Peripheral blood film.
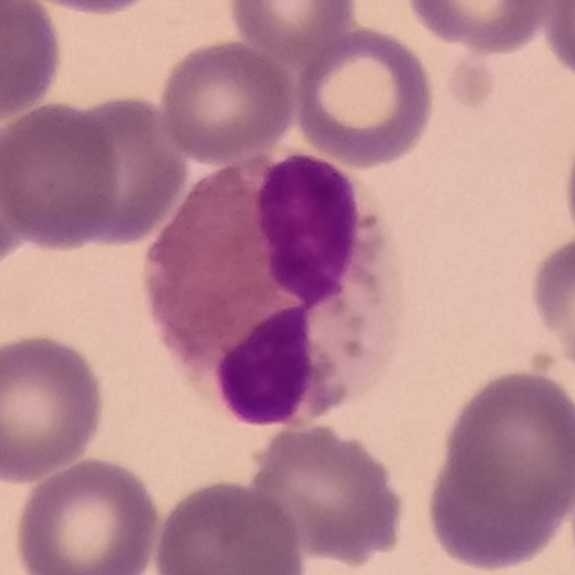
The cell shown is an eosinophil.